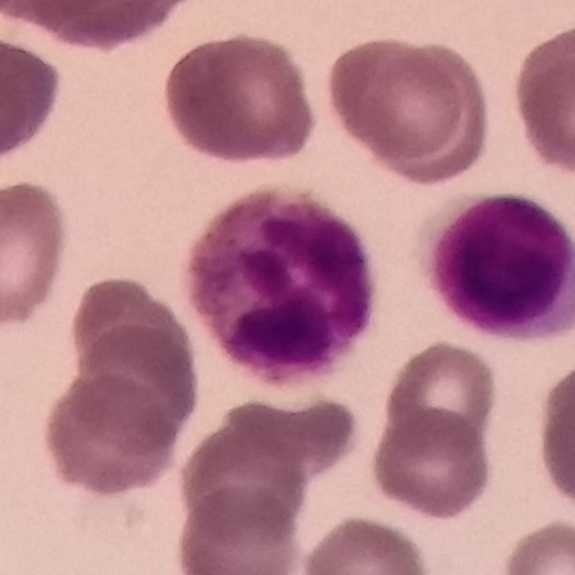Image: Peripheral blood smear; stained with Giemsa.

Impression → neutrophilic granulocyte.